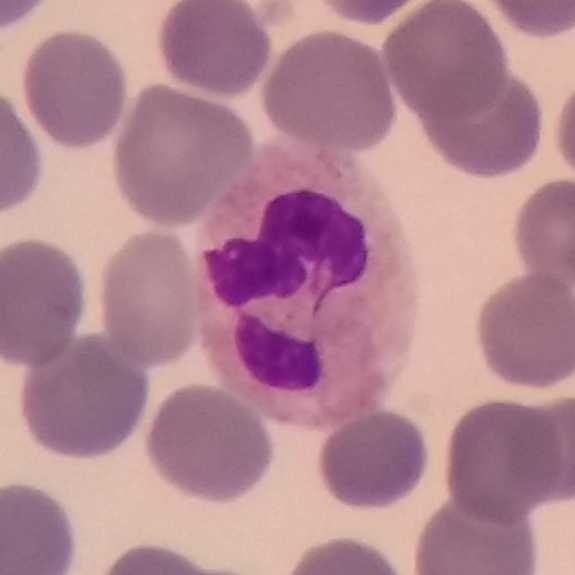 Cell type: neutrophil.
Preparation: Peripheral blood film.